Imaged at 100×. Peripheral blood smear.
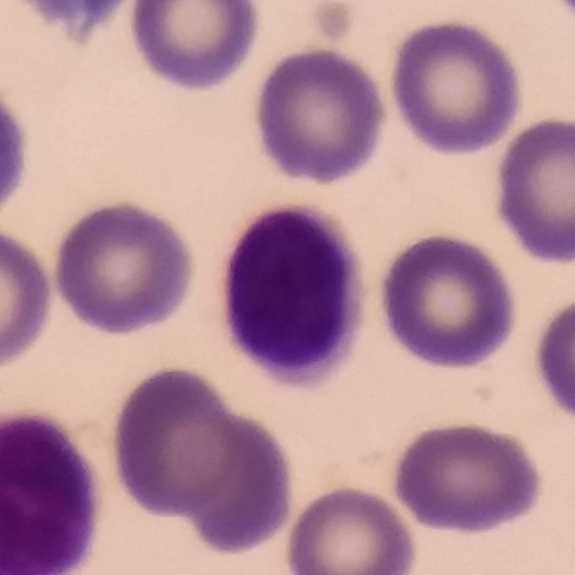Morphology — lymphocyte.